Peripheral blood smear · smartphone camera mounted on the microscope eyepiece.
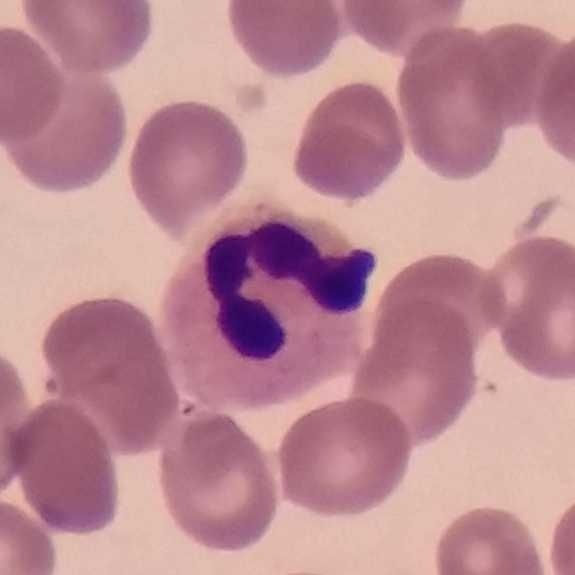Specimen: peripheral blood smear.
Classification: neutrophilic granulocyte.